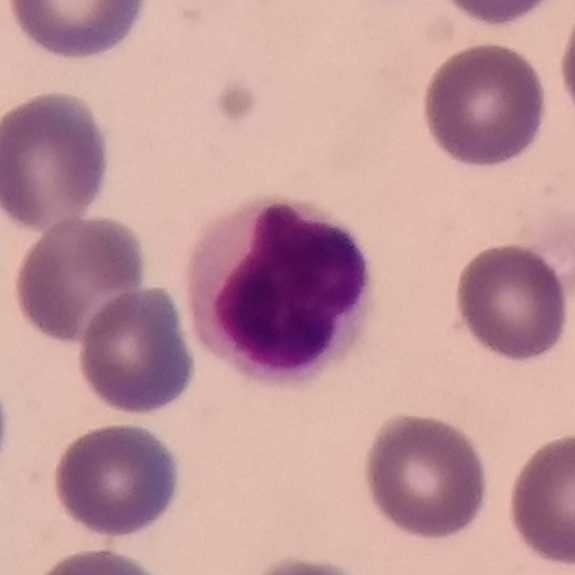
Classification — lymphocyte.